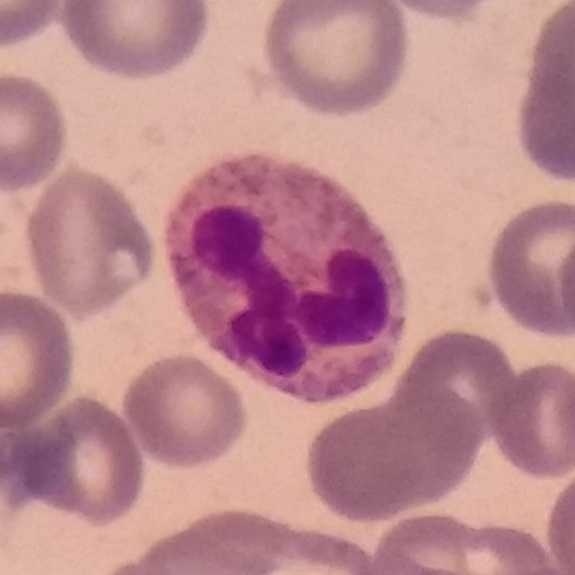

Single cell identified as a neutrophilic granulocyte. 575×575 · peripheral blood film · Giemsa-stained.